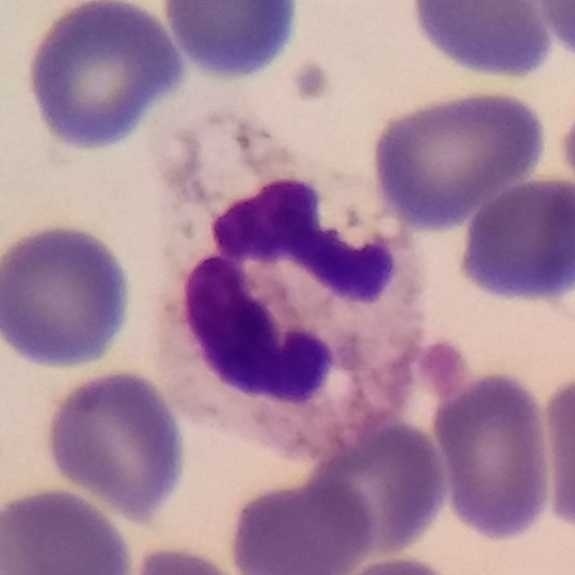 Acquisition: Peripheral blood smear · imaged at 100×. Neutrophil granulocyte.